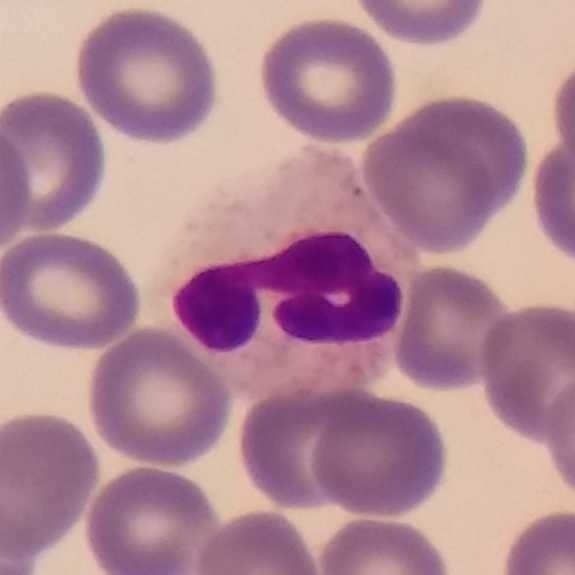Single-cell crop from a peripheral blood smear: neutrophil granulocyte.